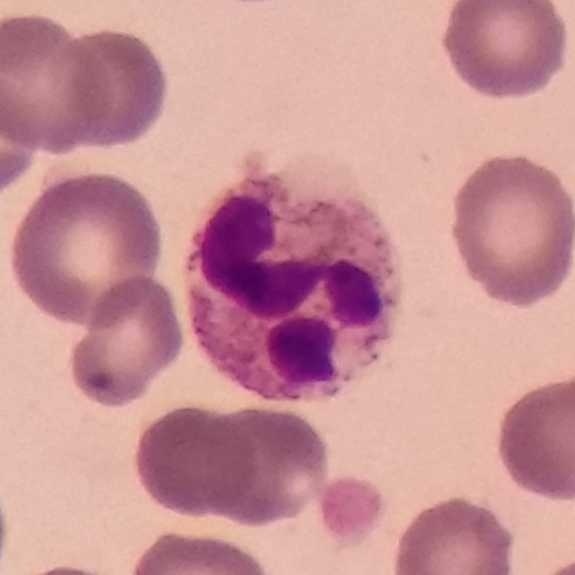
Cell: neutrophil.
Peripheral blood film · cropped to one leukocyte.